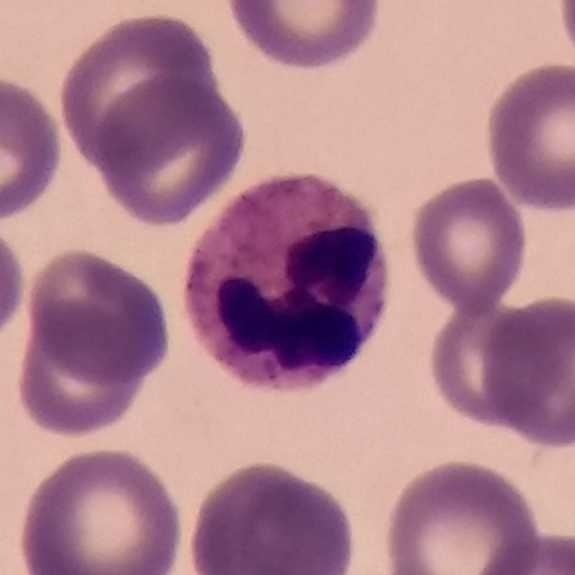

Cell — neutrophil granulocyte.